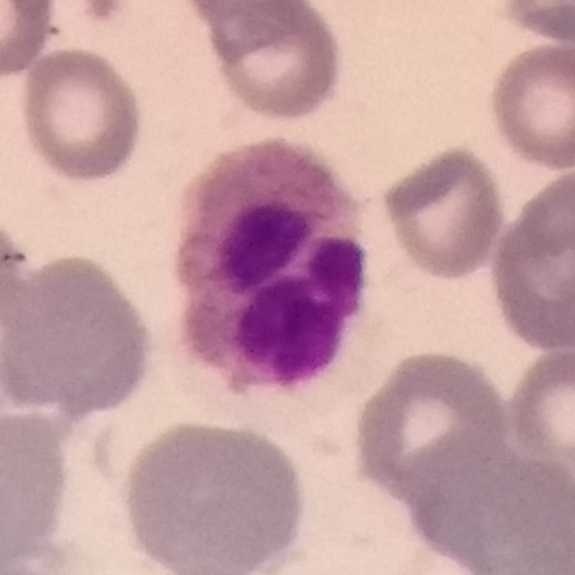 Q: Which type of white blood cell is this?
A: A neutrophil.

Image: Peripheral blood film.